Peripheral blood smear — 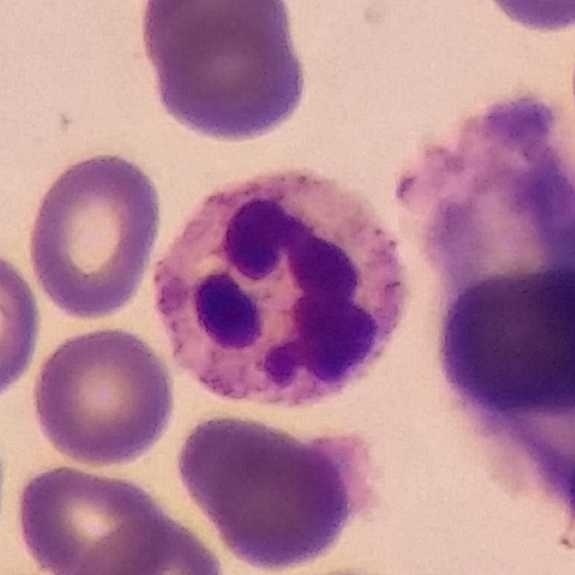
The classification is neutrophil.